Peripheral blood smear · smartphone photomicrograph — 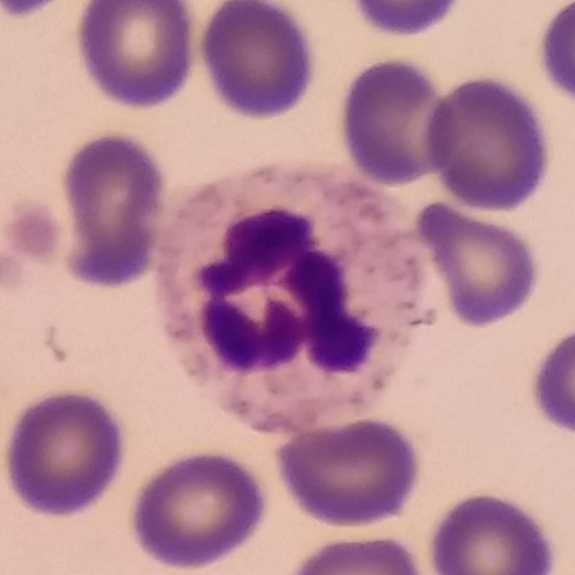 Specimen: peripheral blood film.
Classification: neutrophil.